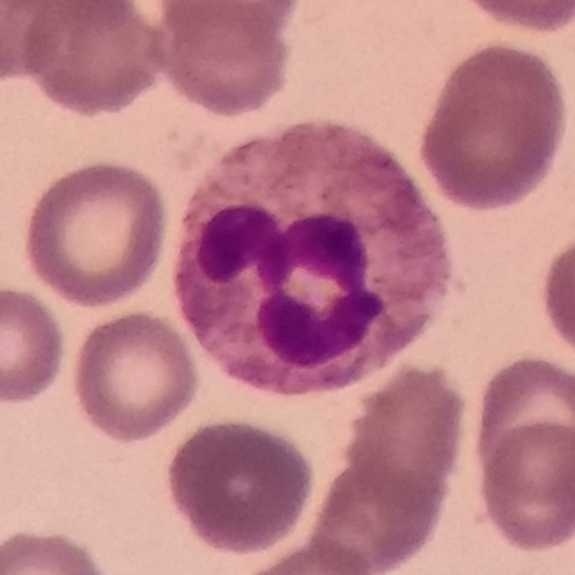

Neutrophil granulocyte. Peripheral blood film.